Peripheral blood smear:
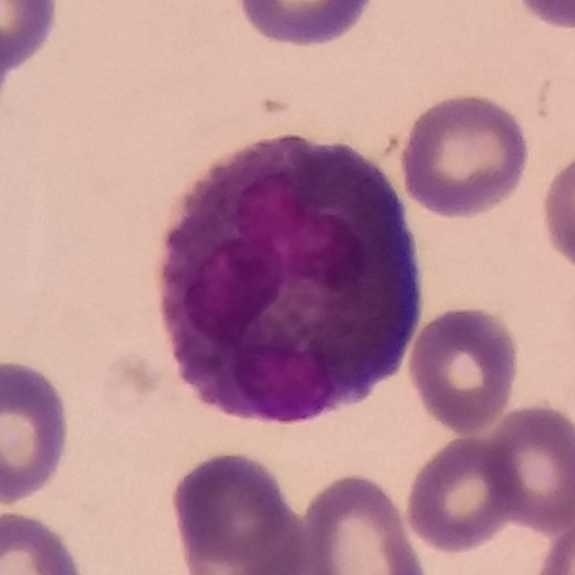Cell: eosinophilic granulocyte.